Peripheral blood film; smartphone photomicrograph.
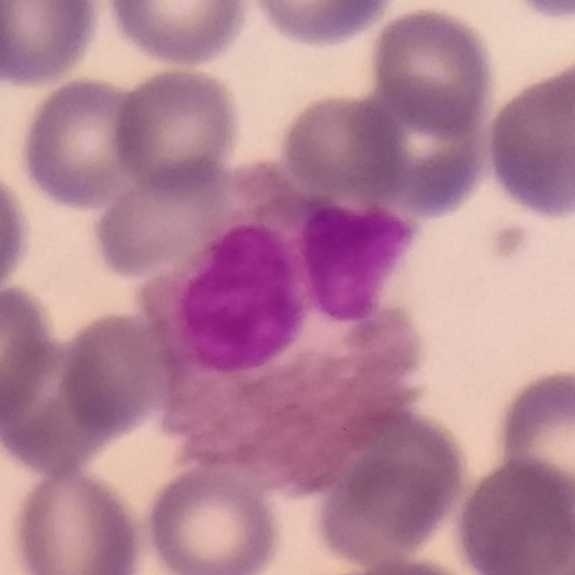Cell type: eosinophil.